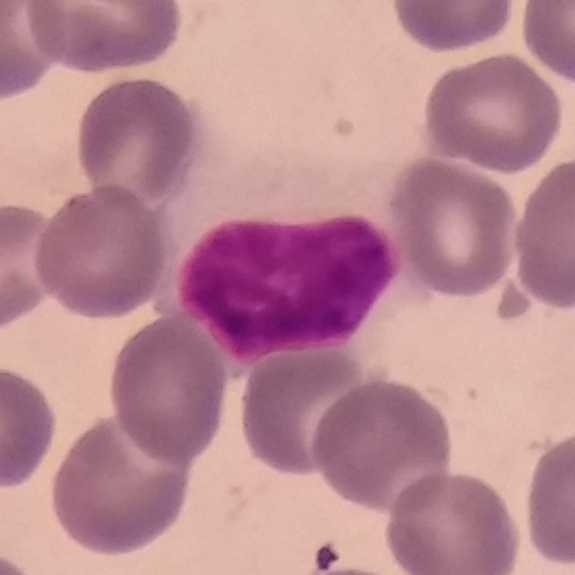

Context: Peripheral blood film.
A lymphocyte.